Peripheral blood smear.
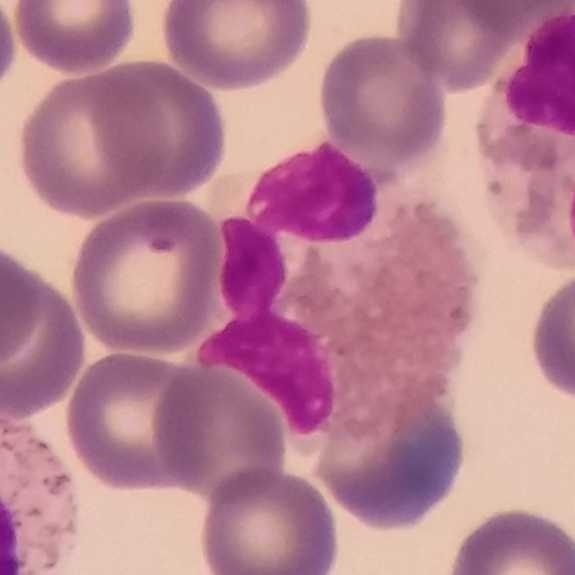 Morphology → eosinophil.